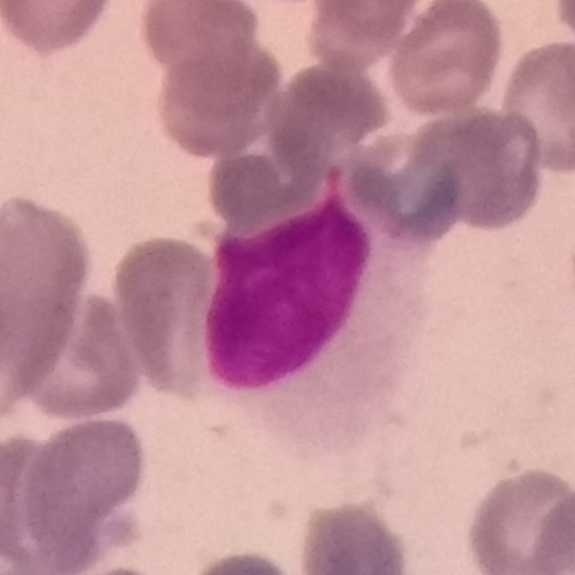 Q: What is the morphological classification of this cell?
A: A lymphocyte. Preparation: Giemsa stain. Peripheral blood film.